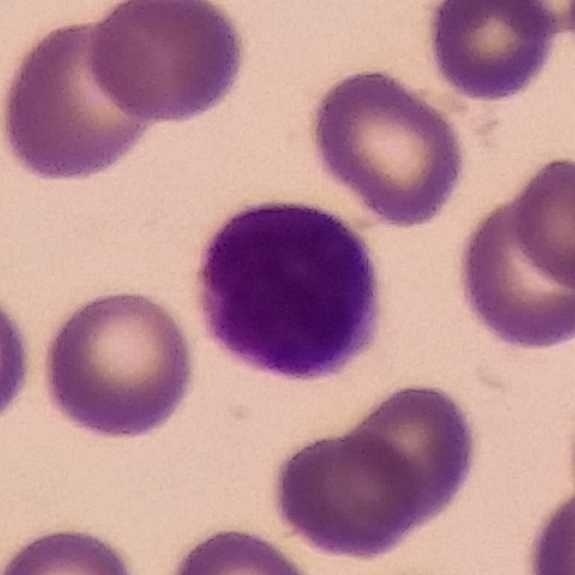 Classification: lymphocyte.